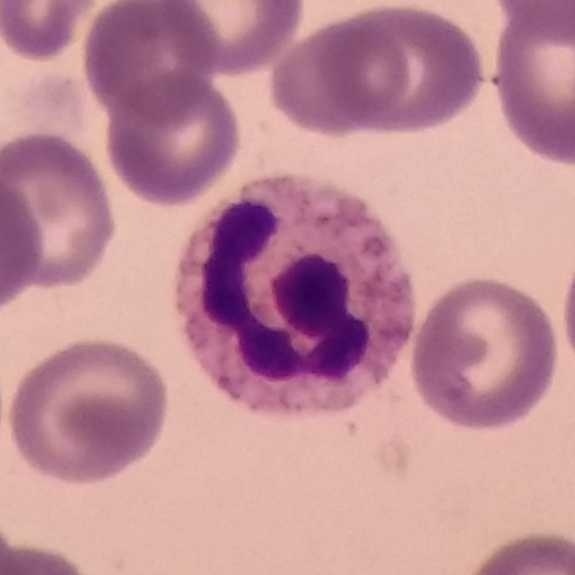Single-cell crop. Giemsa-stained. Peripheral blood smear.
{"cell_type": "neutrophilic granulocyte", "lineage": "myeloid"}